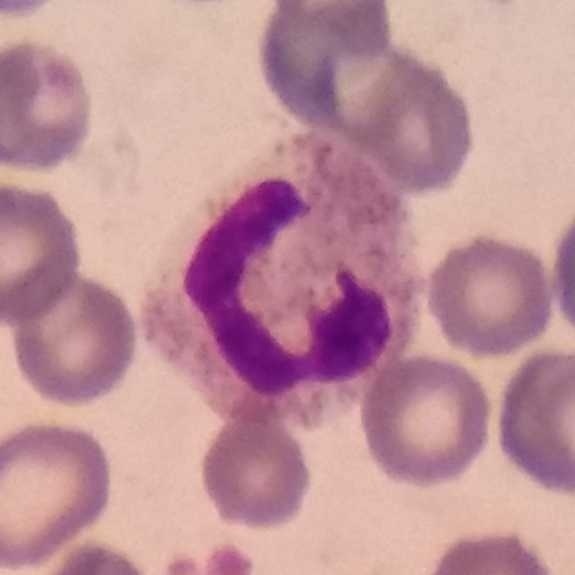
Acquisition: Peripheral blood film.
Single cell identified as a neutrophil granulocyte.